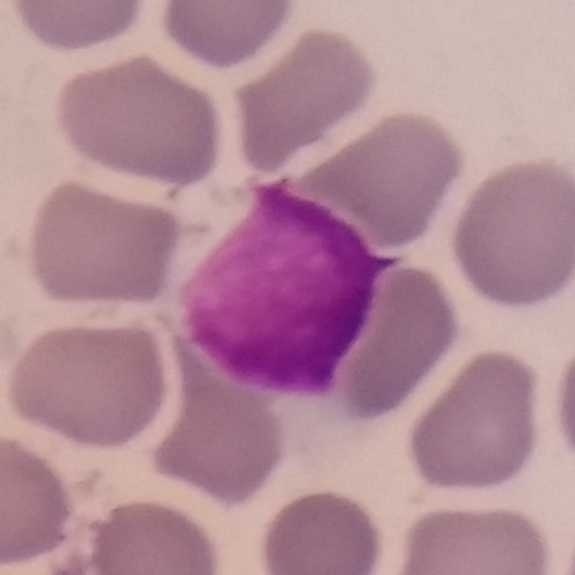 Lymphocyte. Preparation: 575×575. Peripheral blood film.